Smartphone photomicrograph · stained with Giemsa · peripheral blood smear.
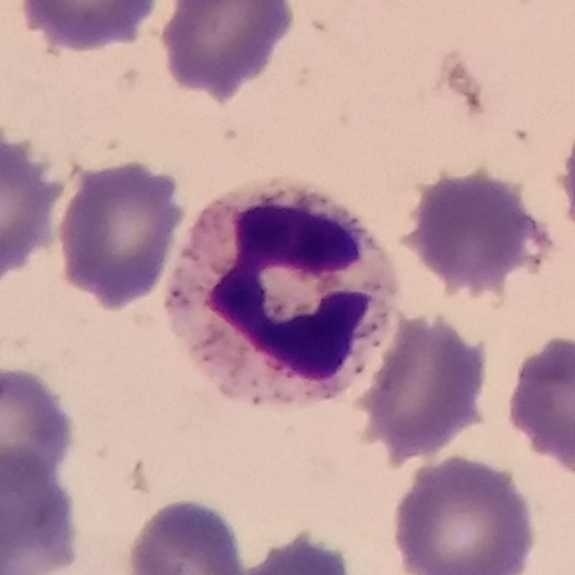 Cell: neutrophil granulocyte.